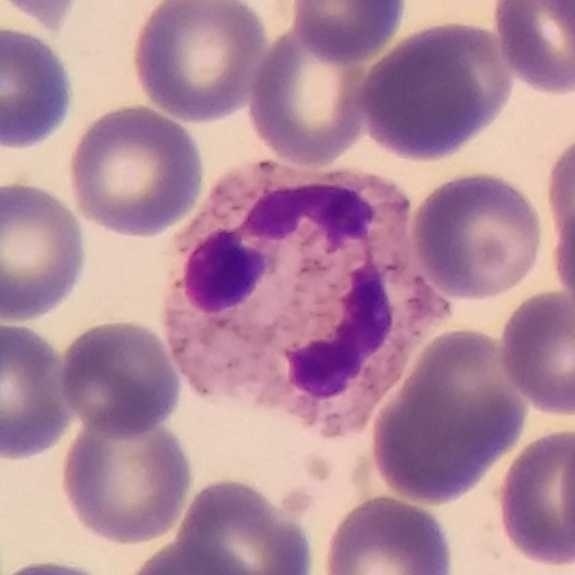

Impression — neutrophil.

Image: Peripheral blood smear.